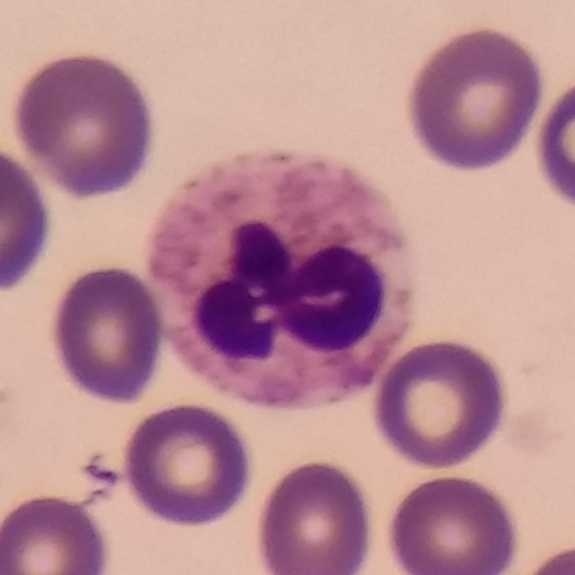The white blood cell in this image is a neutrophil granulocyte.
Preparation: Giemsa stain; peripheral blood film; imaged at 100×.